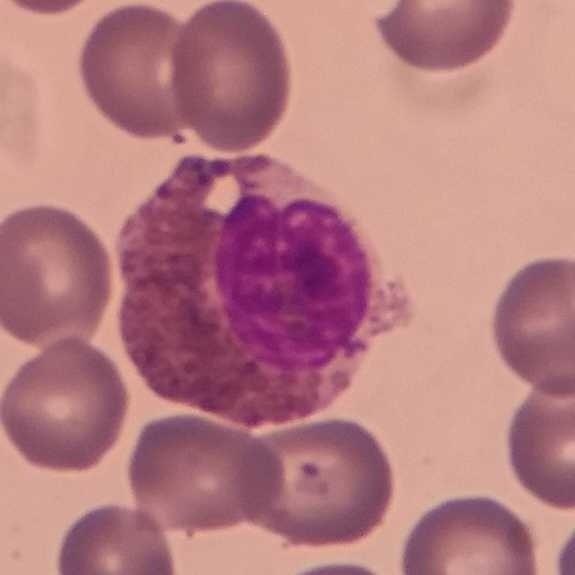Peripheral blood smear.
An eosinophilic granulocyte.